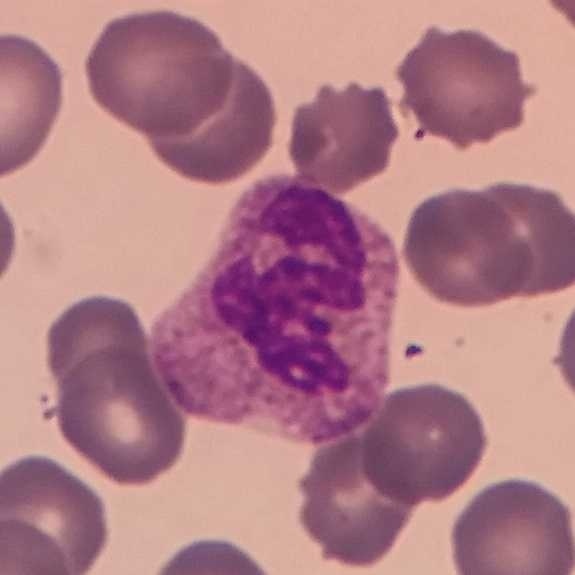
Q: What type of cell is this?
A: Neutrophil.